Peripheral blood smear: 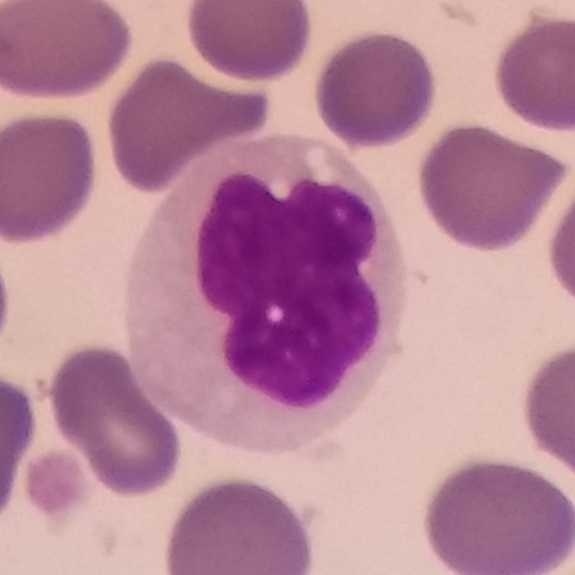The cell shown is a monocyte.